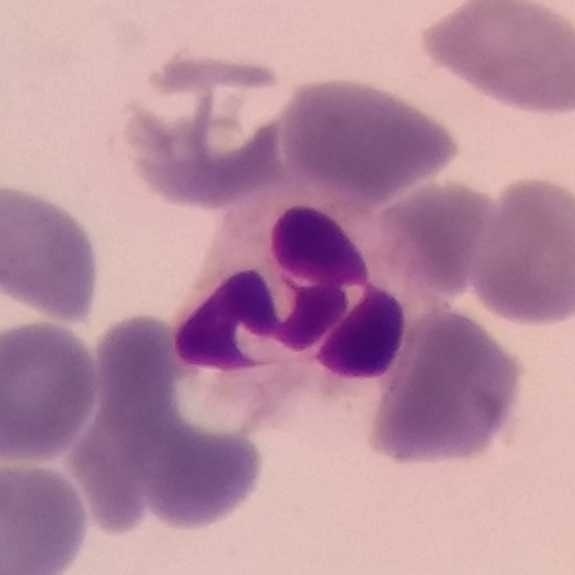Cell — neutrophil.